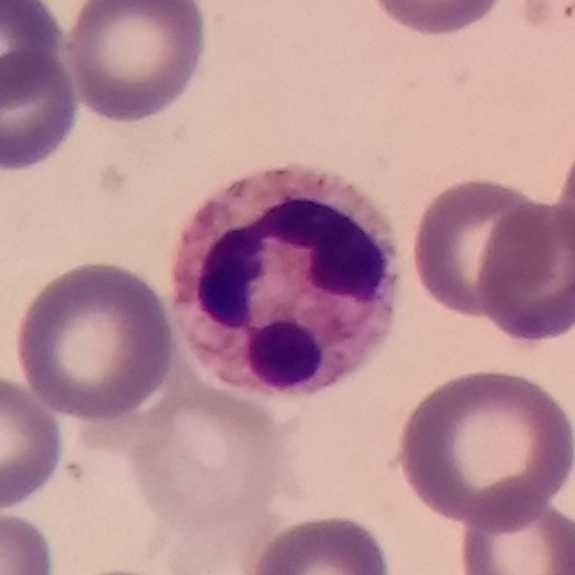
Cell type: neutrophil. Acquisition: Peripheral blood film.